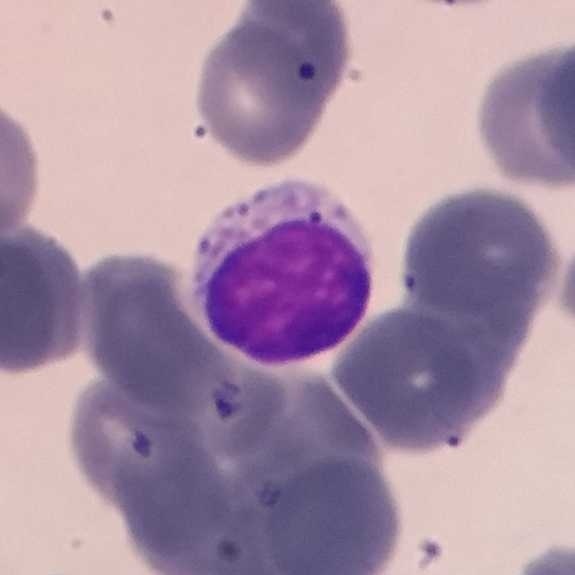{"cell_type": "lymphocyte"}